Peripheral blood film; imaged at 100× — 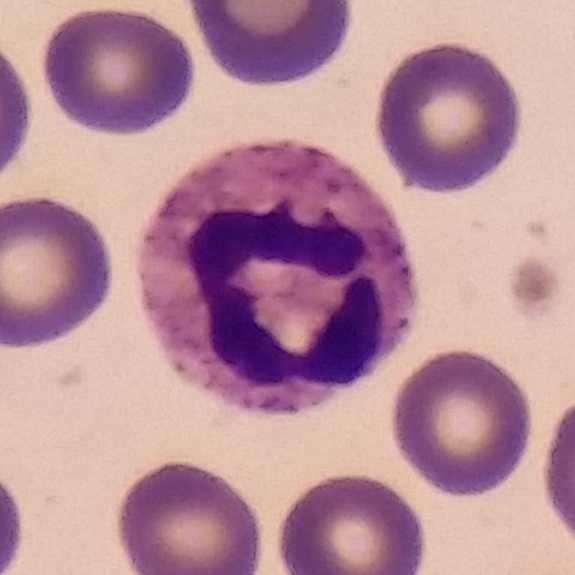 Specimen: peripheral blood smear.
White blood cell type: neutrophil.
Lineage: myeloid.